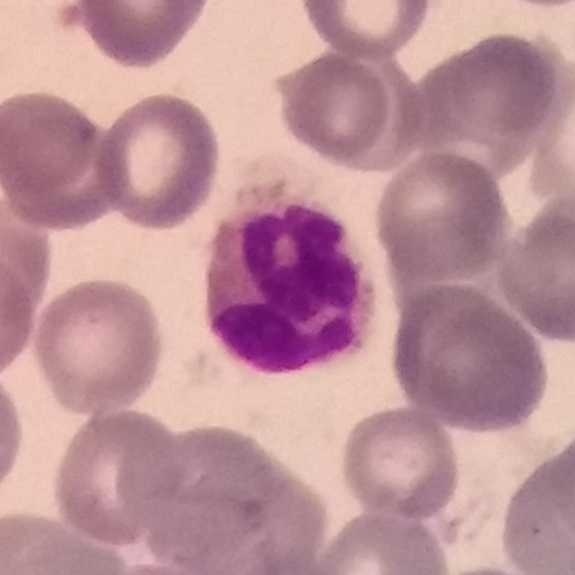

The cell type is neutrophilic granulocyte. Context: Smartphone photomicrograph. Single white blood cell cropped from the smear photograph. Peripheral blood film.